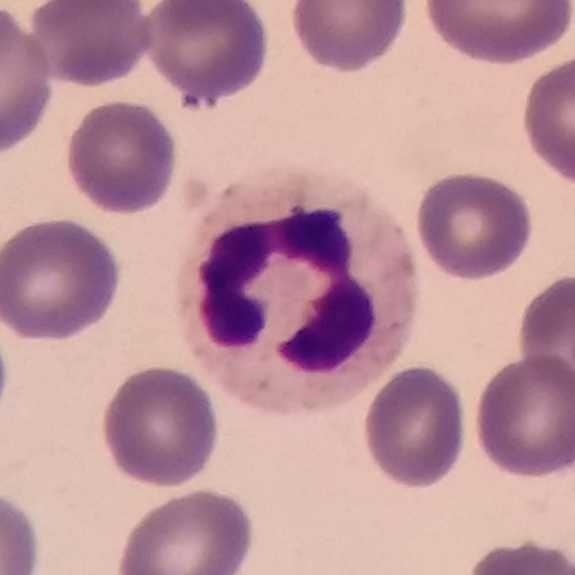 Image: Peripheral blood smear · smartphone camera mounted on the microscope eyepiece · stained with Giemsa.

Q: Which cell type is shown here?
A: A neutrophil.